Peripheral blood smear:
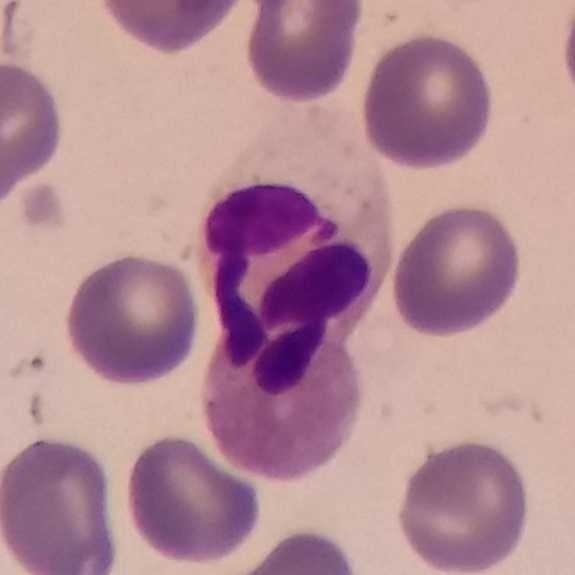
Morphology consistent with a neutrophilic granulocyte.